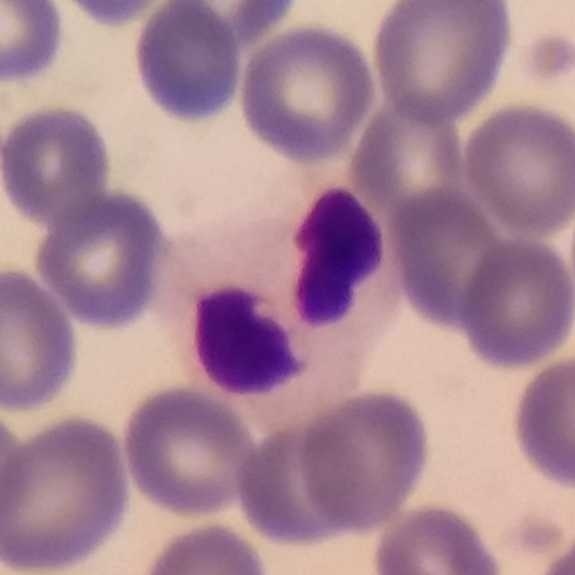
A neutrophilic granulocyte.
Photographed through a light microscope with a smartphone camera. 100× magnification. Peripheral blood film.